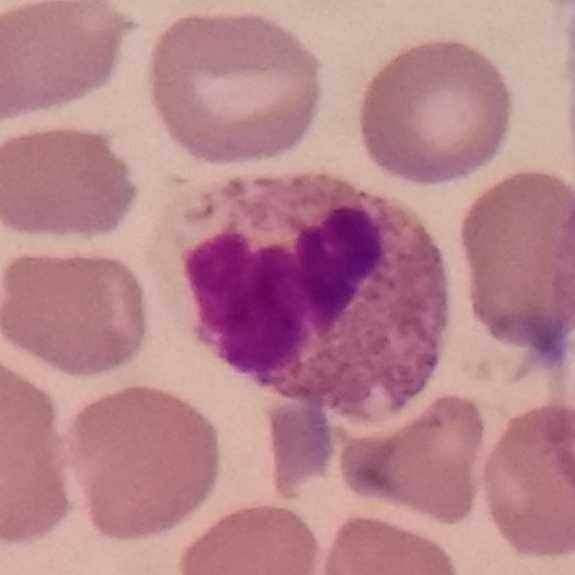 The cell is neutrophil granulocyte.